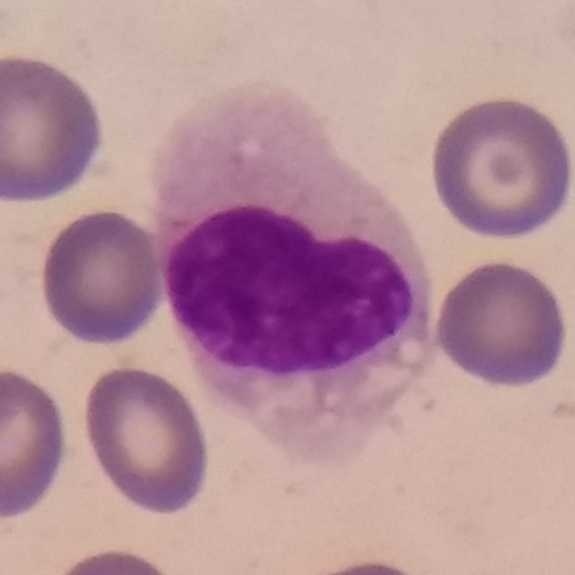
Preparation: 575×575.

Specimen: peripheral blood film.
Cell: monocyte.
Lineage: myeloid.